Peripheral blood smear · magnification 100× · Giemsa-stained.
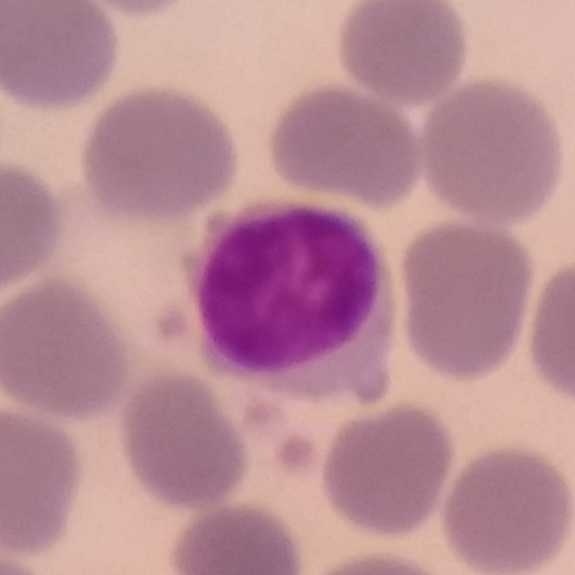Specimen: peripheral blood film.
White blood cell type: lymphocyte.
Lineage: lymphoid.